Peripheral blood smear. 100× magnification:
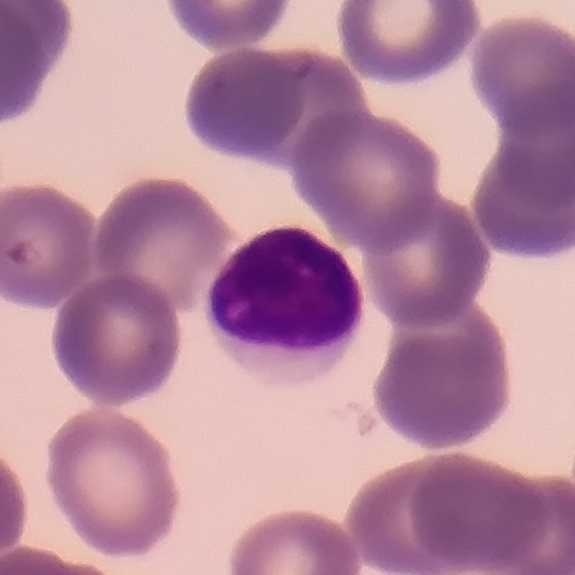
Specimen: peripheral blood smear.
Cell: lymphocyte.
Lineage: lymphoid.